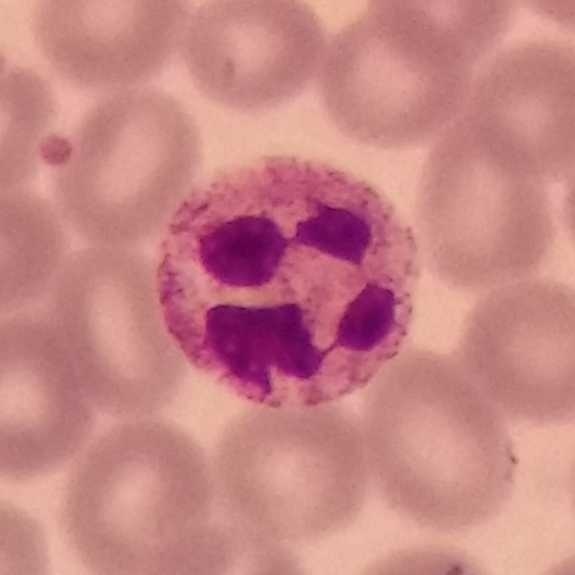 The morphological class is neutrophil.